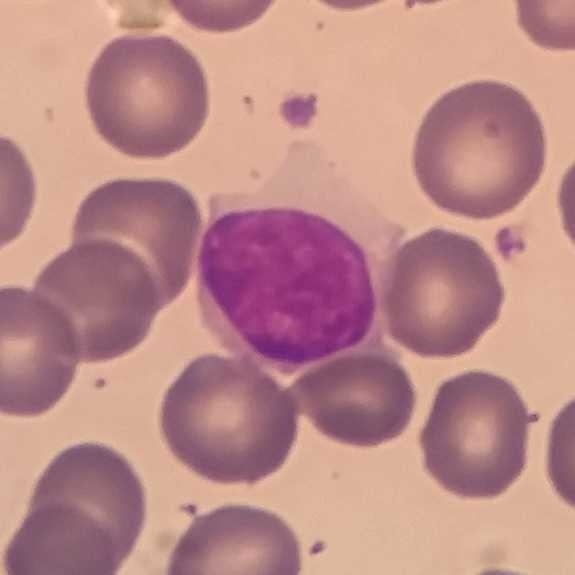

Showing a lymphocyte.

Peripheral blood smear.